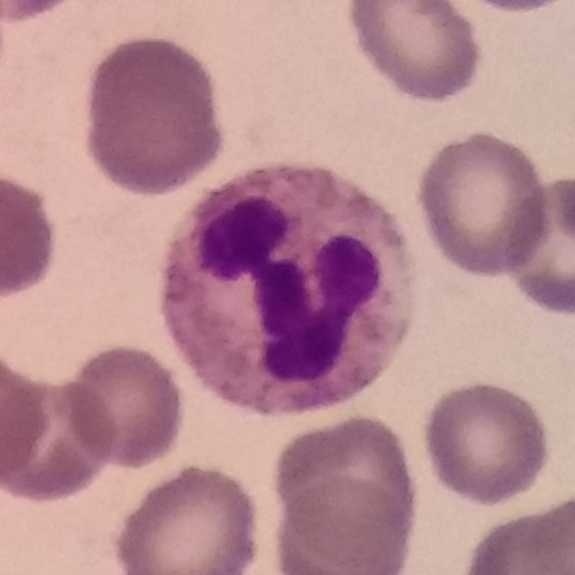Morphological class = neutrophilic granulocyte.